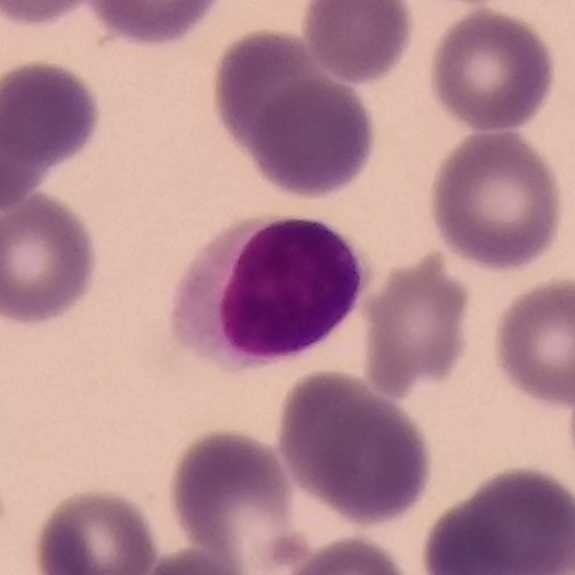
Preparation: Imaged at 100×. Specimen: peripheral blood film.
Classification: lymphocyte.
Lineage: lymphoid.